Peripheral blood smear · single white blood cell cropped from the smear photograph
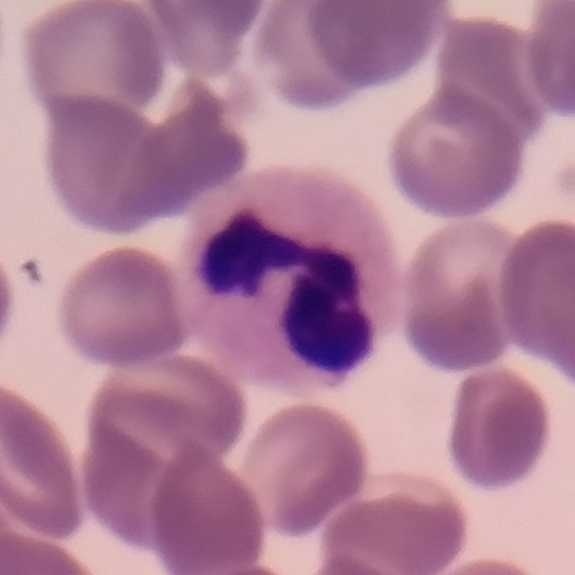Single cell identified as a neutrophilic granulocyte.